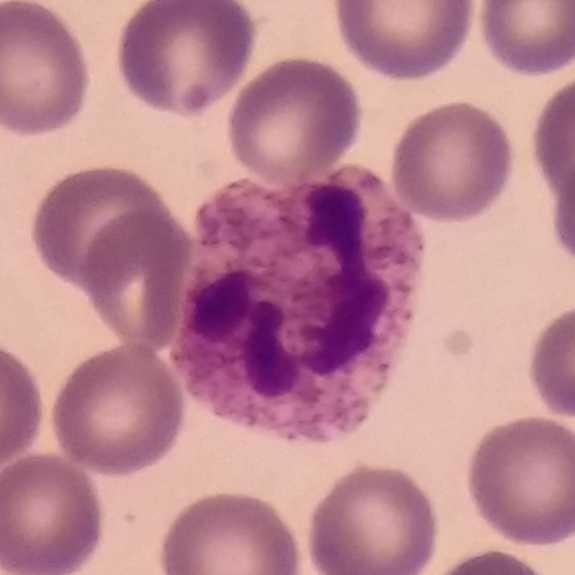

Preparation: 575×575 · peripheral blood film · Giemsa-stained.
The morphological class is neutrophilic granulocyte.